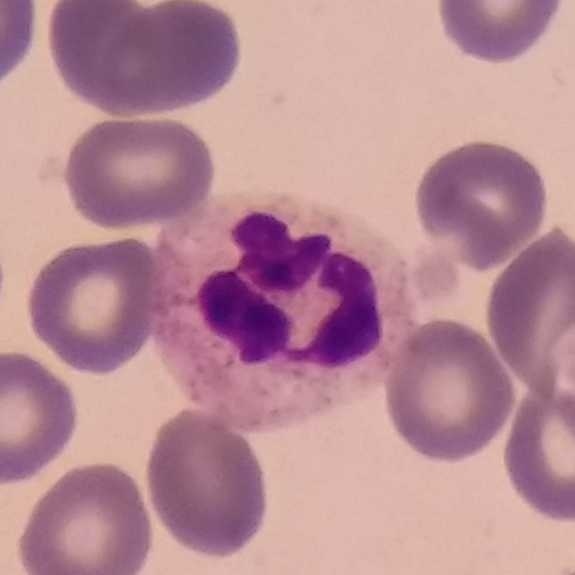Acquisition: Peripheral blood smear · image size 575×575.
Morphology — neutrophil.